Peripheral blood film:
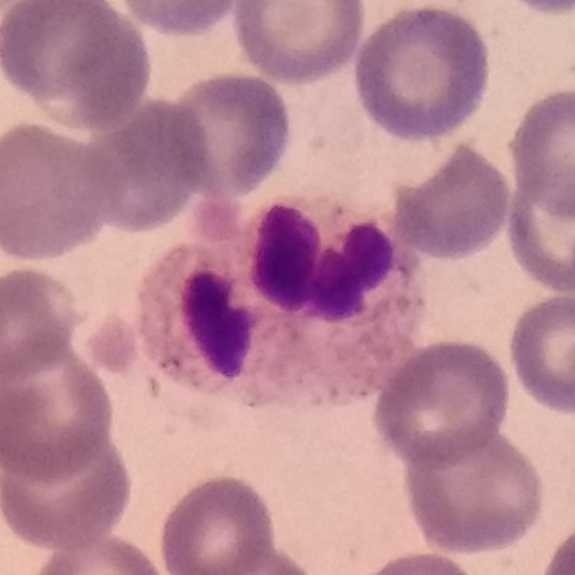 Classification — neutrophil.